Peripheral blood smear: 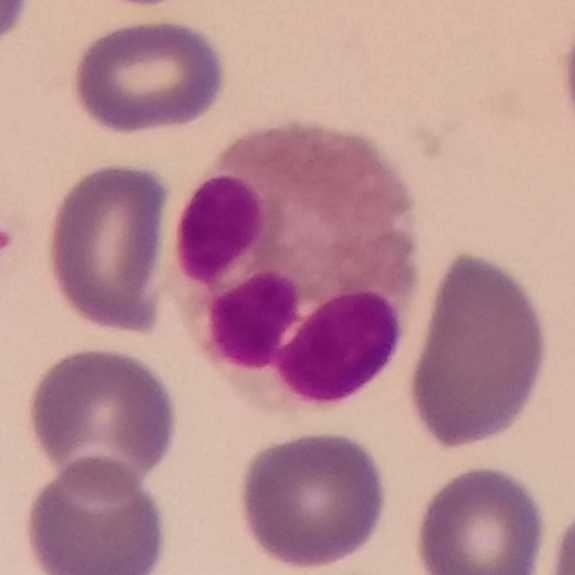
Identified as an eosinophil.